Peripheral blood film:
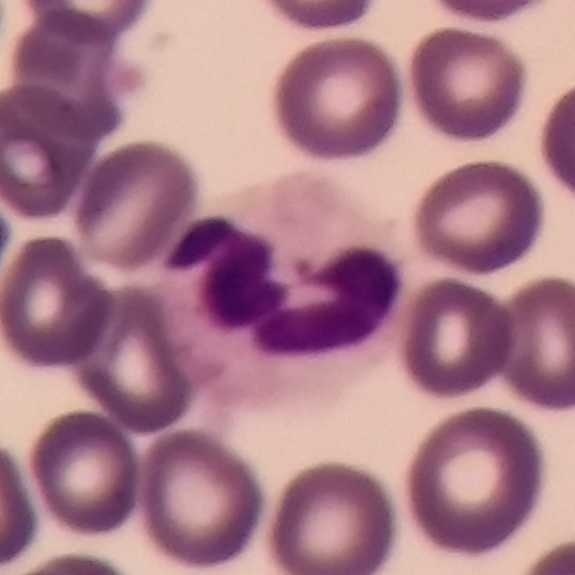

Morphology → neutrophil.